Peripheral blood smear — 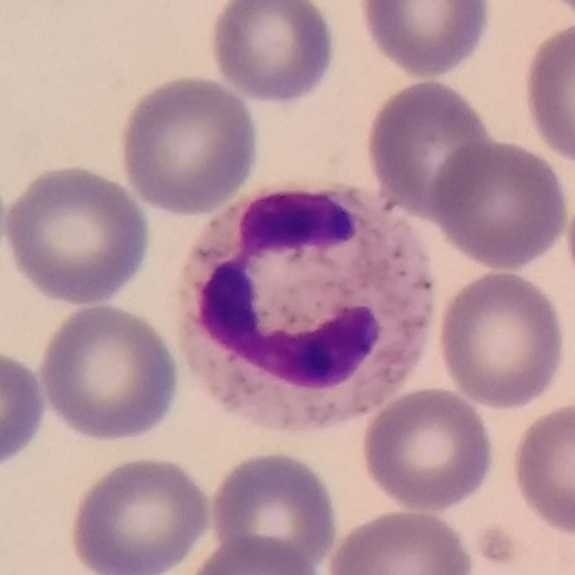
Morphology → neutrophilic granulocyte.